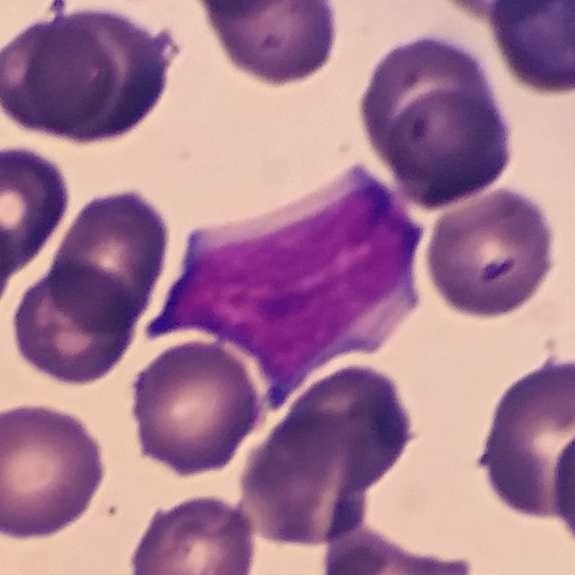 Acquisition: Peripheral blood film.

Q: What is shown here?
A: This is a lymphocyte.